575×575; peripheral blood smear; cropped to one leukocyte — 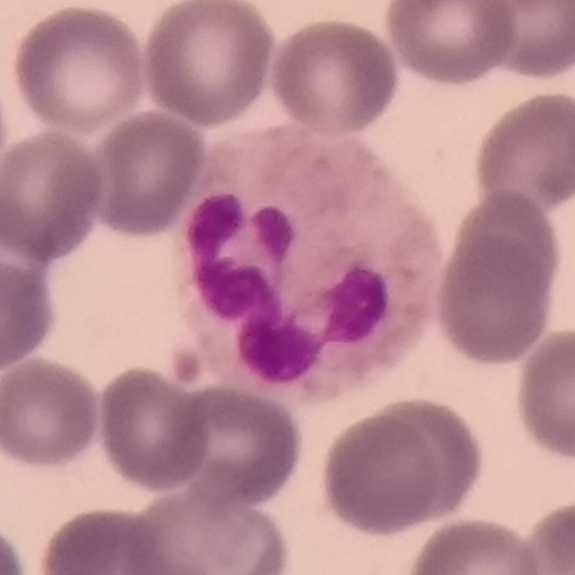

{"cell_type": "neutrophil granulocyte"}